575 by 575 pixels · peripheral blood smear:
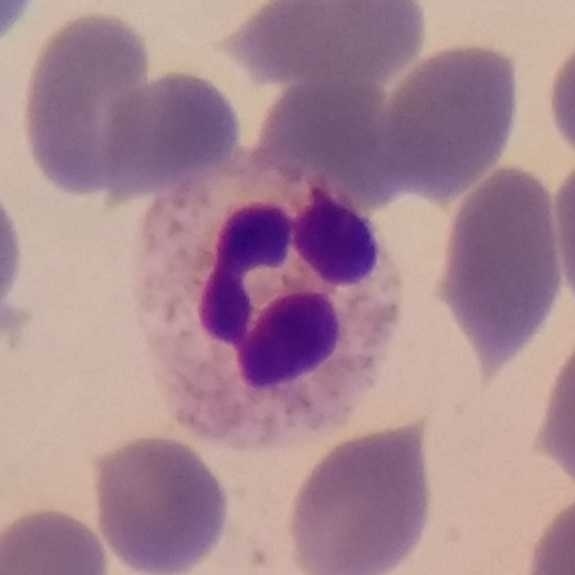 Q: What cell is this?
A: This is a neutrophil granulocyte.